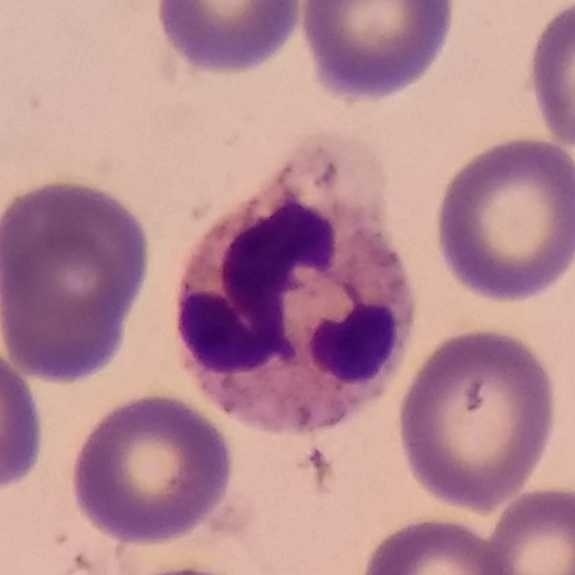

Showing a neutrophilic granulocyte.
Peripheral blood film.